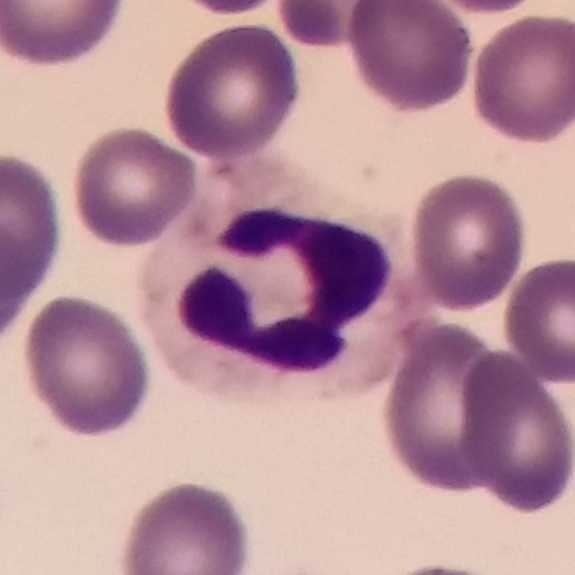 Acquisition: Peripheral blood film.
Single cell identified as a neutrophilic granulocyte.